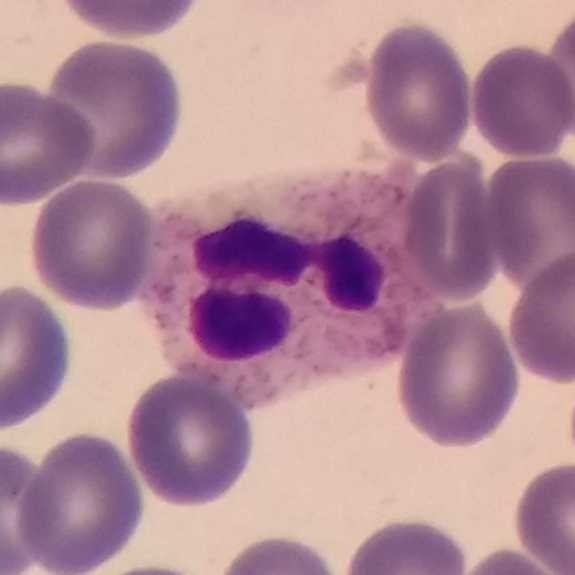 Identified as a neutrophil.
Giemsa stain. Peripheral blood film.